Stained with Giemsa; peripheral blood smear; smartphone photomicrograph:
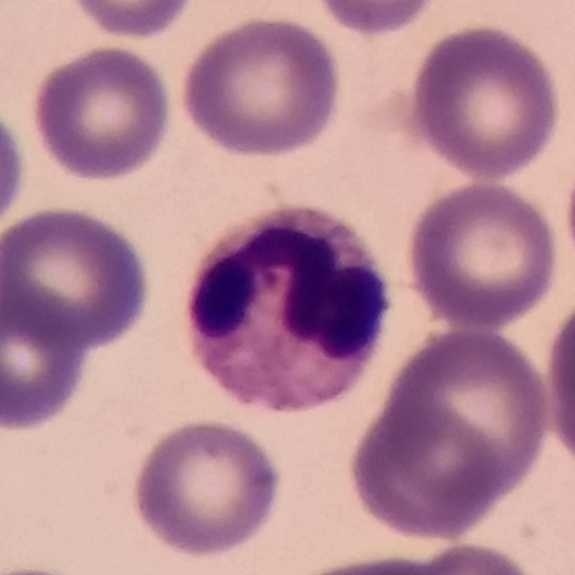

The white blood cell type is neutrophil granulocyte.